Peripheral blood film
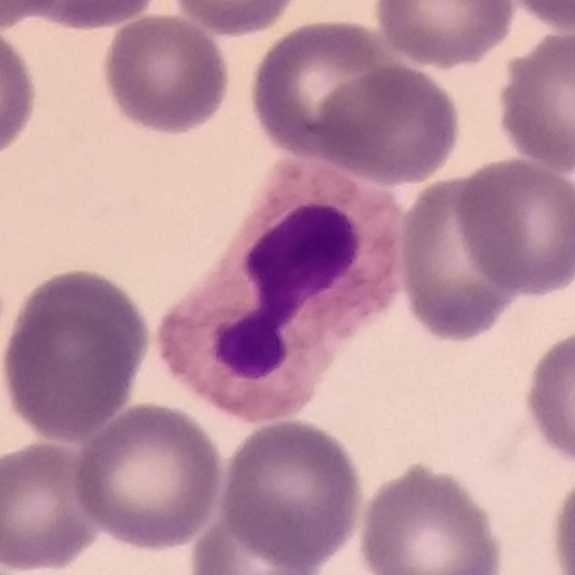Q: Which cell type is shown here?
A: This is a neutrophil granulocyte.